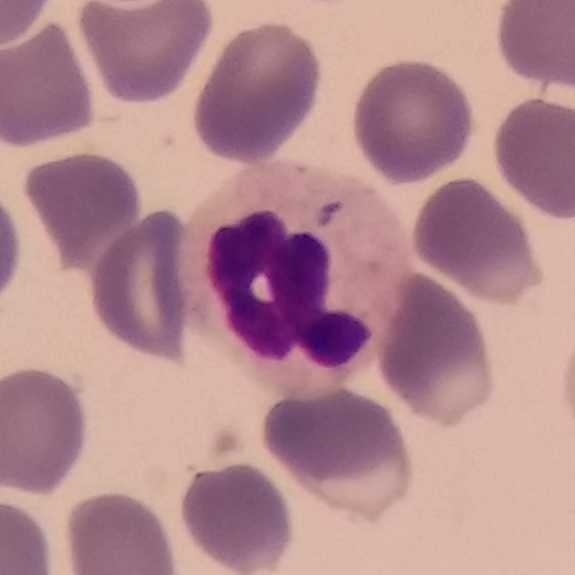
Peripheral blood smear.

Classification — neutrophilic granulocyte.